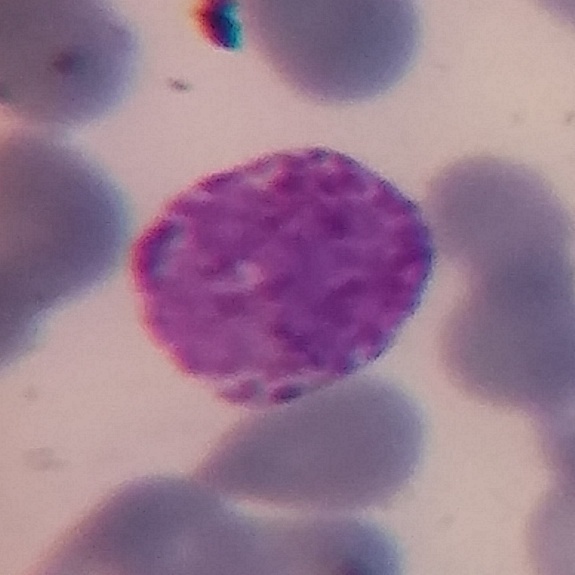Peripheral blood smear; Giemsa-stained.
The morphological class is basophil.